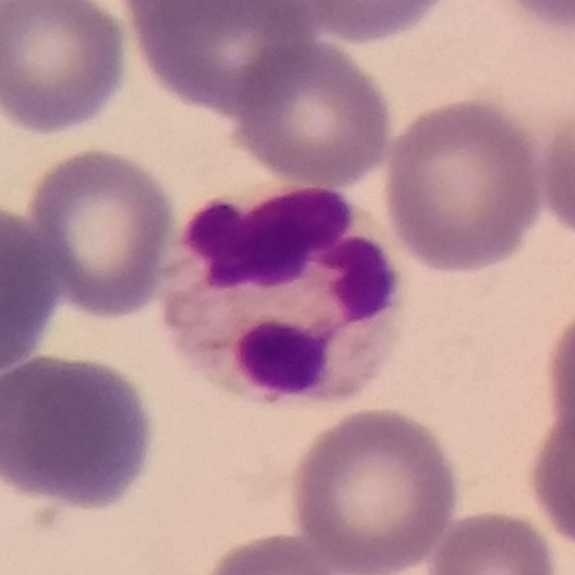 Peripheral blood film.

This is a neutrophilic granulocyte.